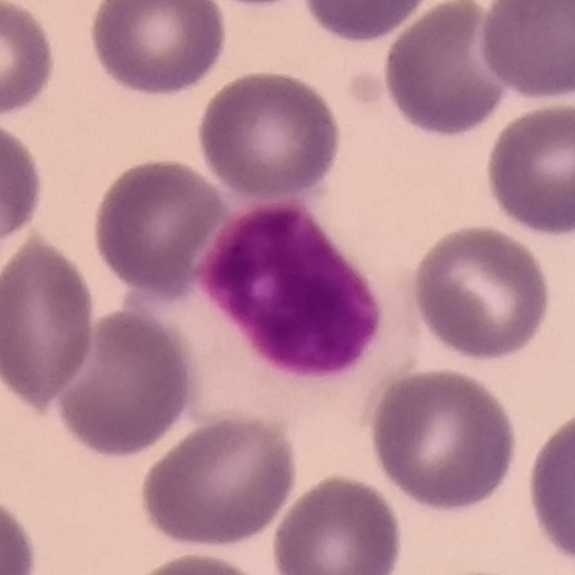 Image size 575×575 · peripheral blood film · Giemsa stain.

Morphology — lymphocyte.